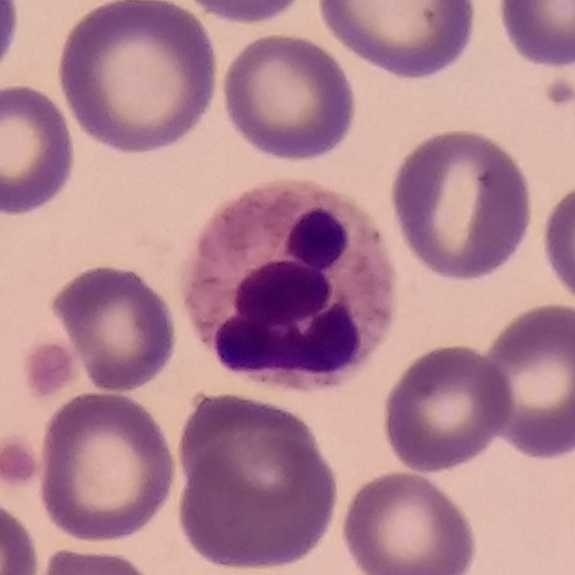 Impression — neutrophilic granulocyte.